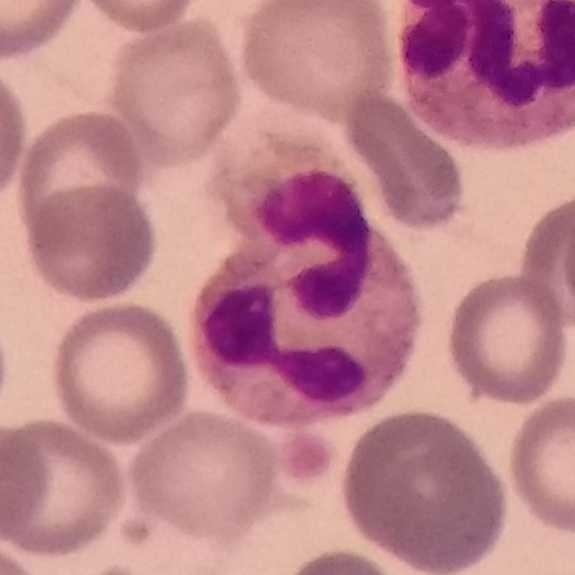Specimen: peripheral blood smear.
Cell: neutrophil granulocyte.